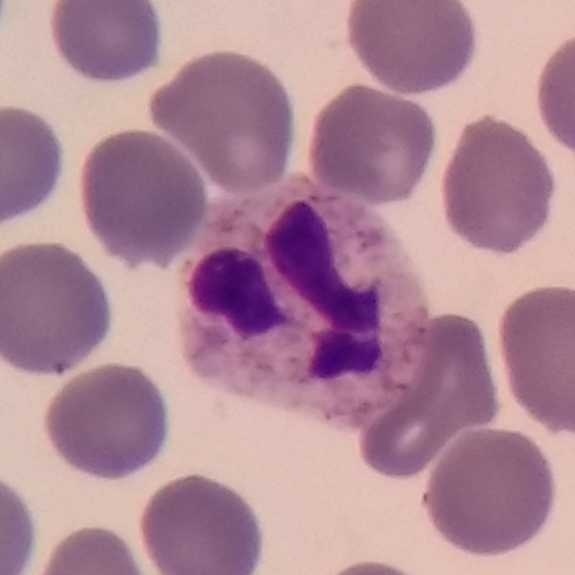

The white blood cell in this image is a neutrophilic granulocyte. Imaged at 100×. Peripheral blood film. Giemsa stain.